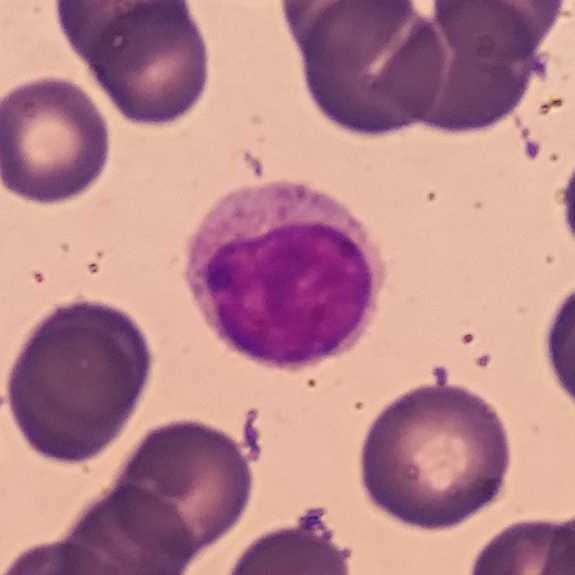
Q: Which cell type is shown here?
A: This is a lymphocyte.